Peripheral blood smear — 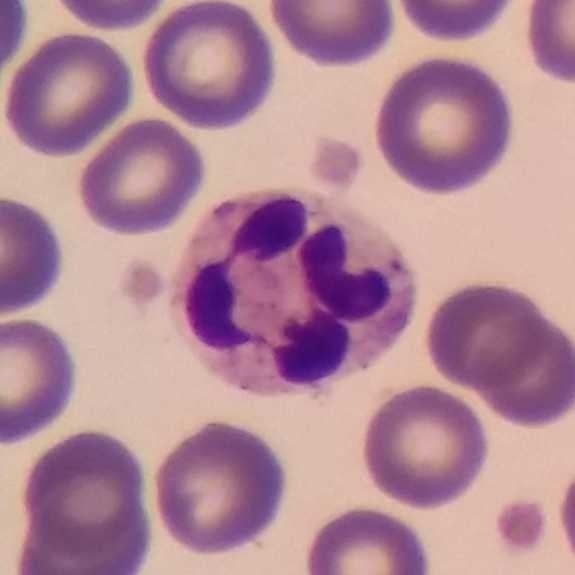 Cell type = neutrophil.